Peripheral blood smear
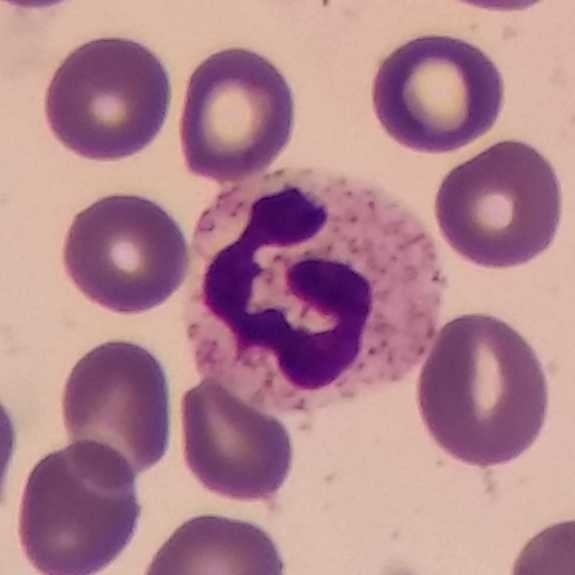 Cell type = neutrophil.